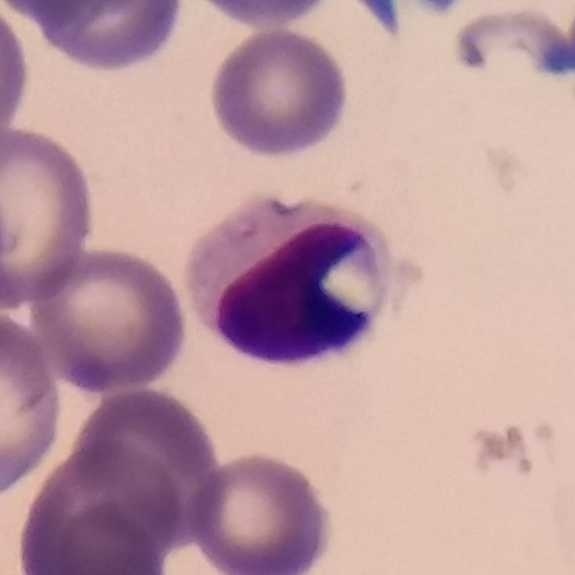 Acquisition: 575 by 575 pixels. Peripheral blood film. Q: What is this?
A: It is a lymphocyte.